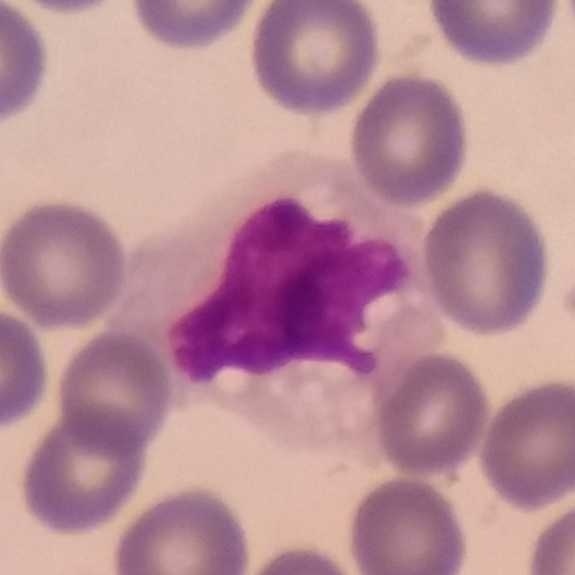 Classification — monocyte.
Single-cell field; peripheral blood film.